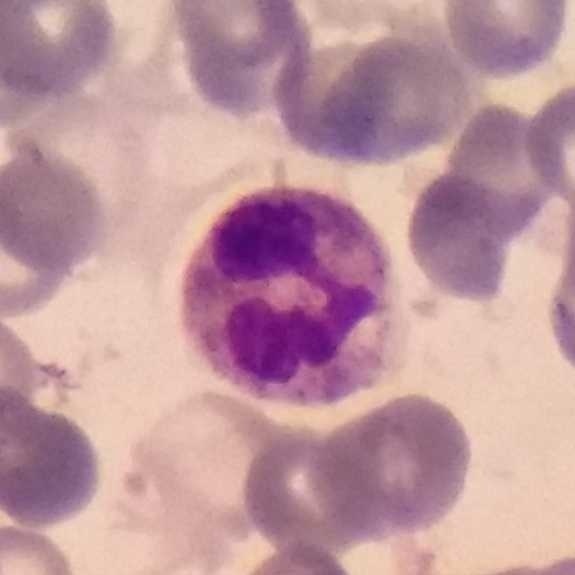
Peripheral blood film. Morphological class = neutrophilic granulocyte.